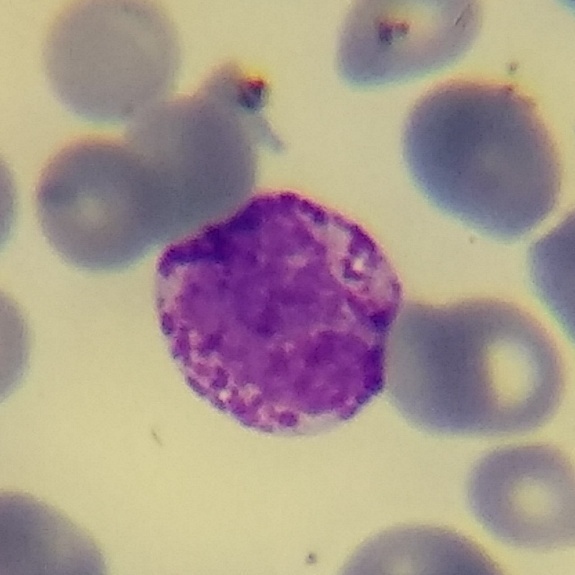
Classification = basophil.